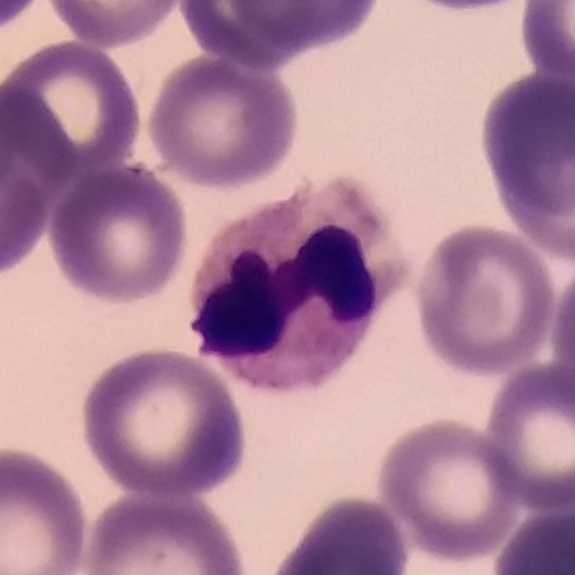

Preparation: Cropped to one leukocyte · peripheral blood film · photographed through a light microscope with a smartphone camera.

Neutrophil granulocyte.